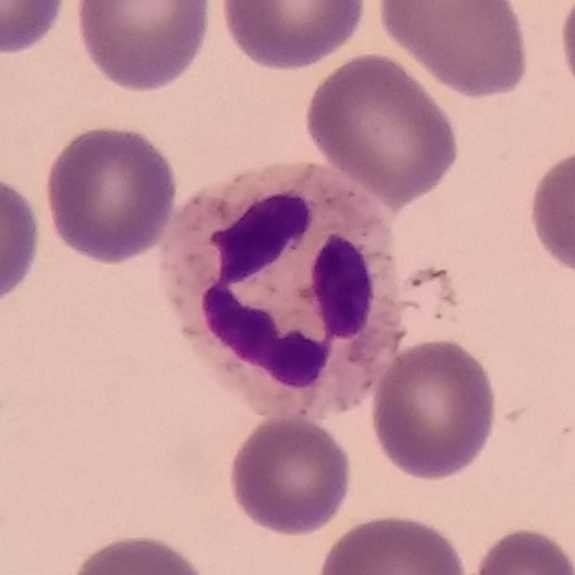Preparation: Peripheral blood smear.

This is a neutrophilic granulocyte.